Giemsa-stained; peripheral blood smear — 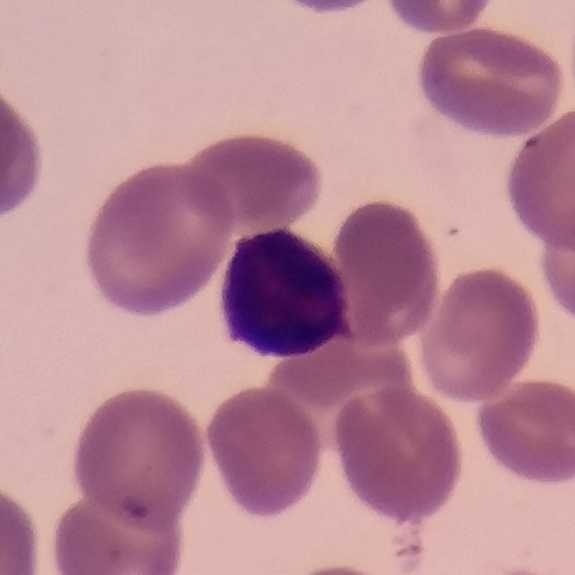

The morphological class is lymphocyte.